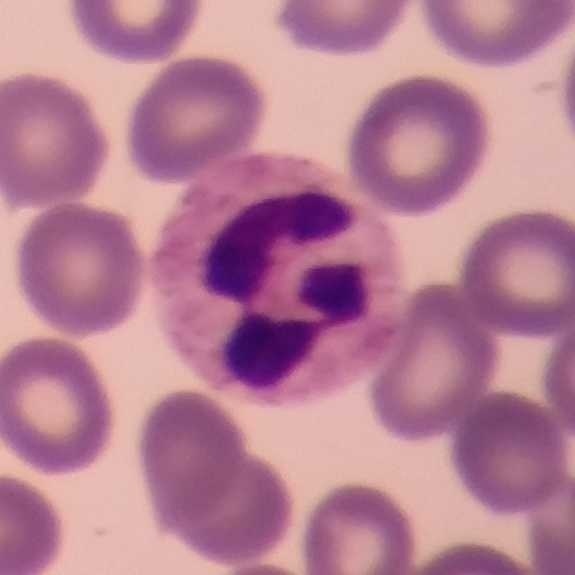
The white blood cell type is neutrophil.
Preparation: Imaged at 100×. Single-cell crop. Peripheral blood film.